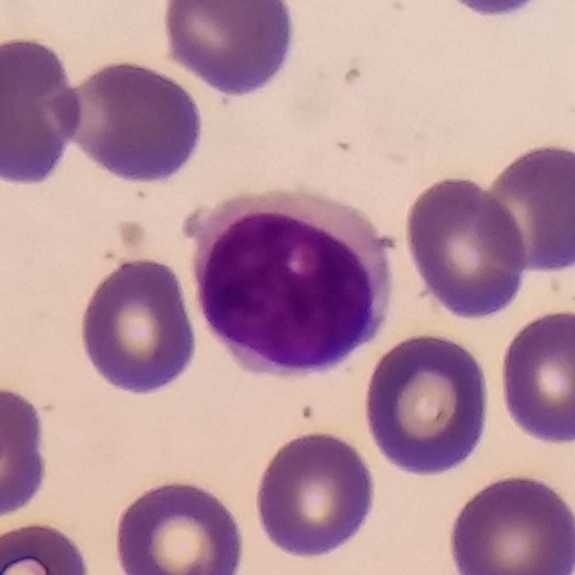Impression → lymphocyte.